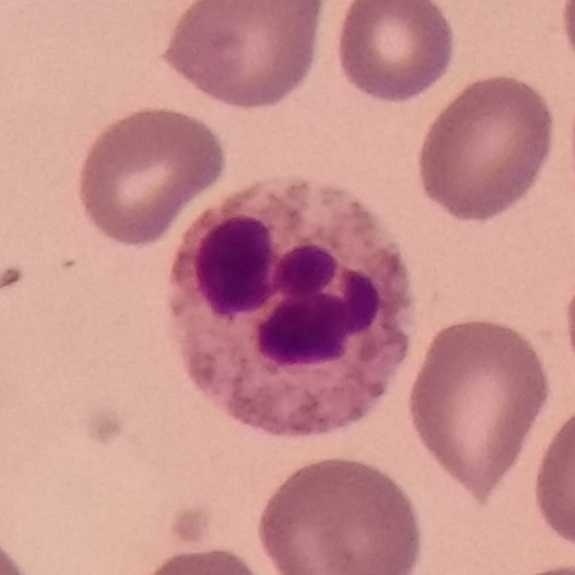 Q: Which type of white blood cell is this?
A: This is a neutrophil granulocyte.